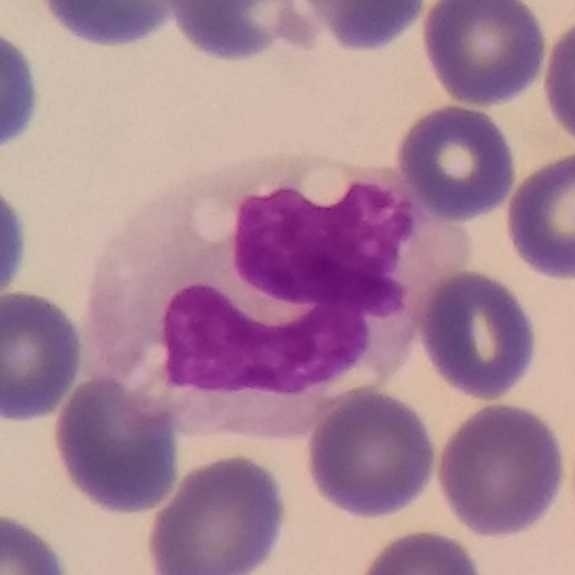Q: What is this?
A: Monocyte.
Peripheral blood smear.